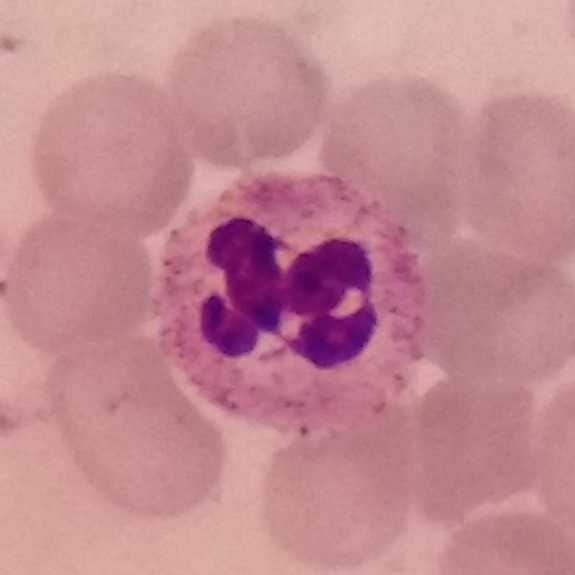

Q: What is the morphological classification of this cell?
A: This is a neutrophilic granulocyte.